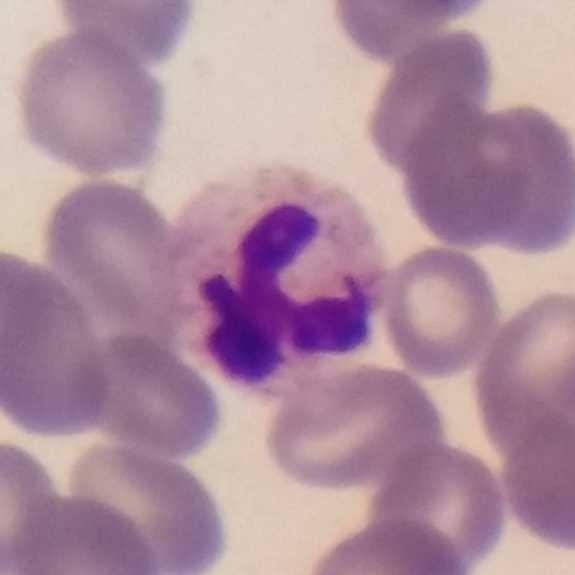
A neutrophil.
Peripheral blood smear.